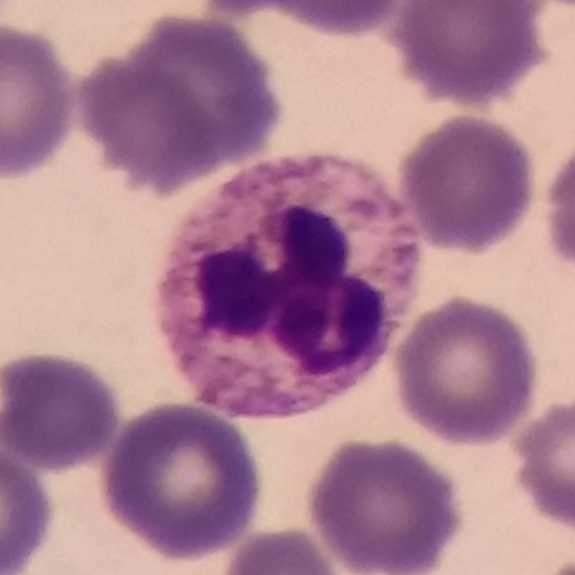 Peripheral blood smear showing a neutrophil granulocyte.